Peripheral blood film:
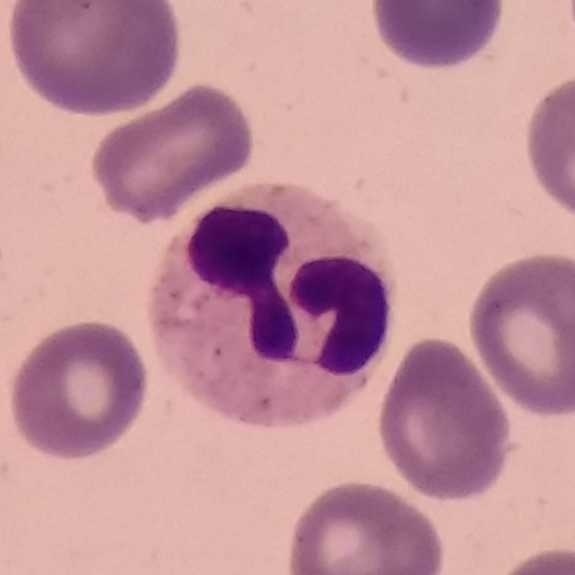 Morphological class — neutrophilic granulocyte.